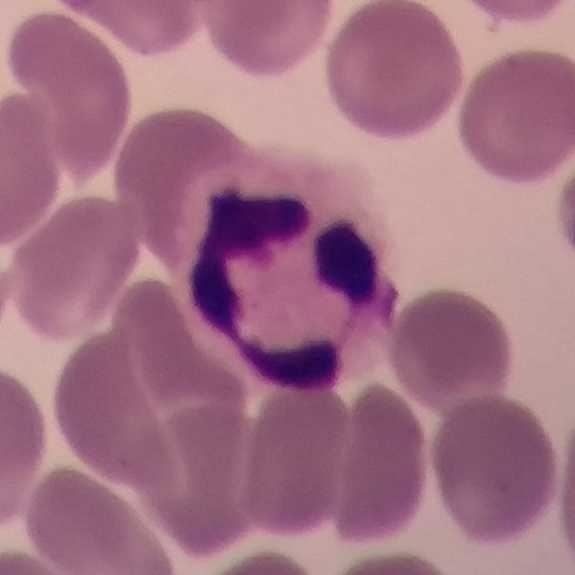

Specimen: peripheral blood smear.
Classification: neutrophil.